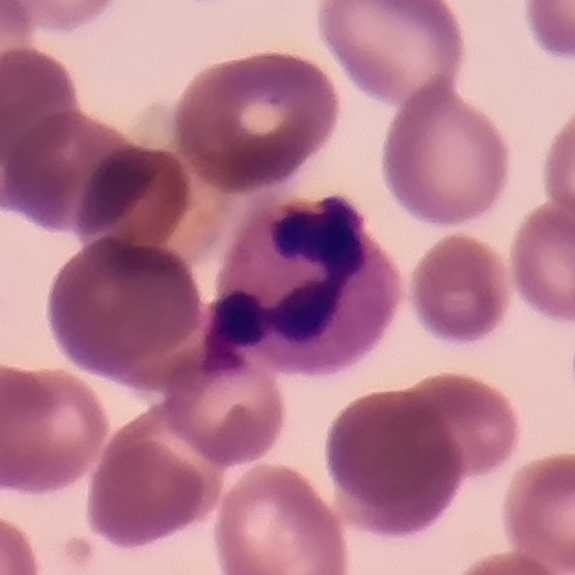Identified as a neutrophilic granulocyte.

Phone-camera image taken through the microscope ocular · peripheral blood film · image size 575×575.